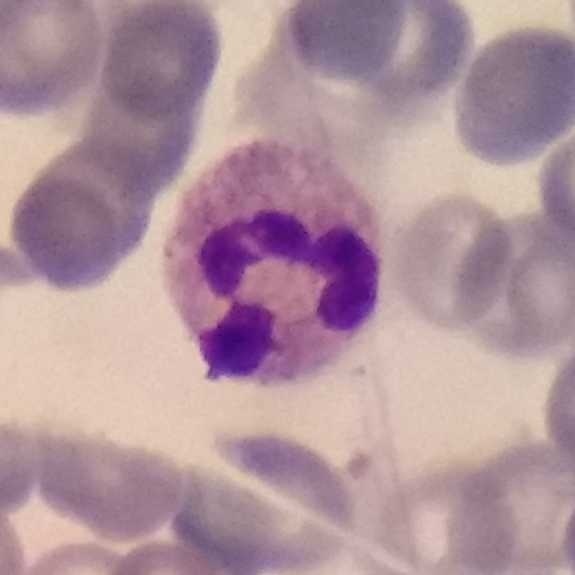
Context: Peripheral blood smear. Q: What is the morphological classification of this cell?
A: Neutrophil.